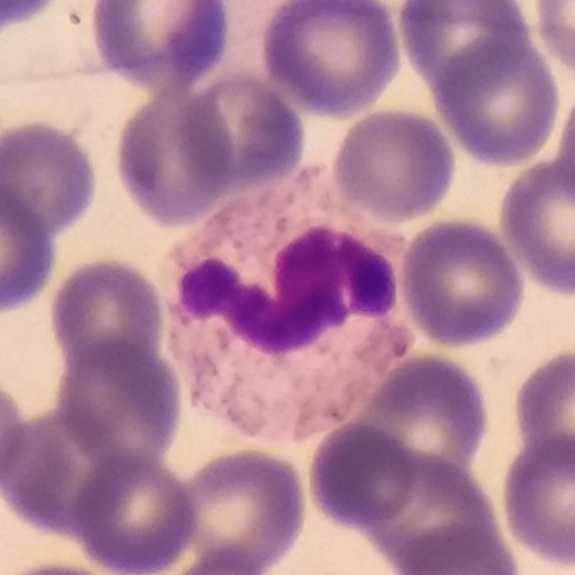 Single cell identified as a neutrophil granulocyte.